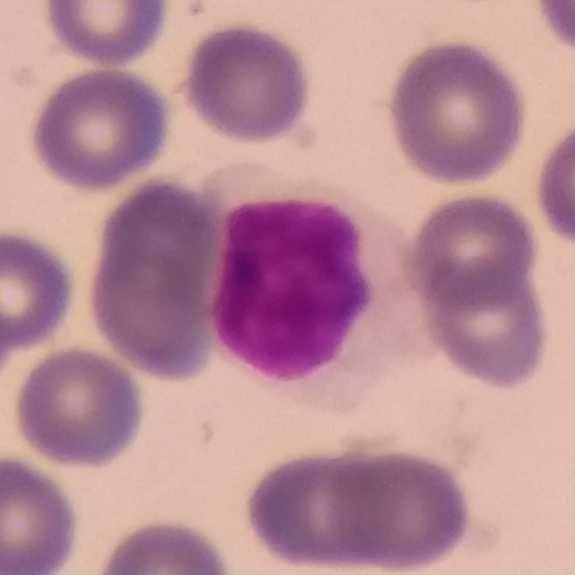

Specimen: peripheral blood film.
Cell: lymphocyte.
Lineage: lymphoid.